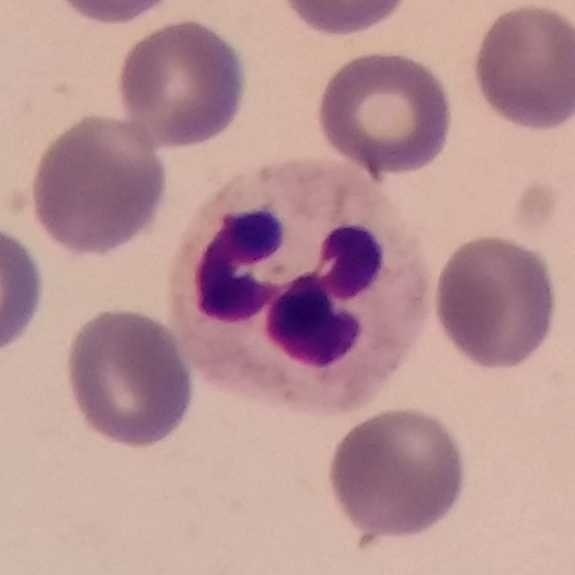The cell shown is a neutrophil.